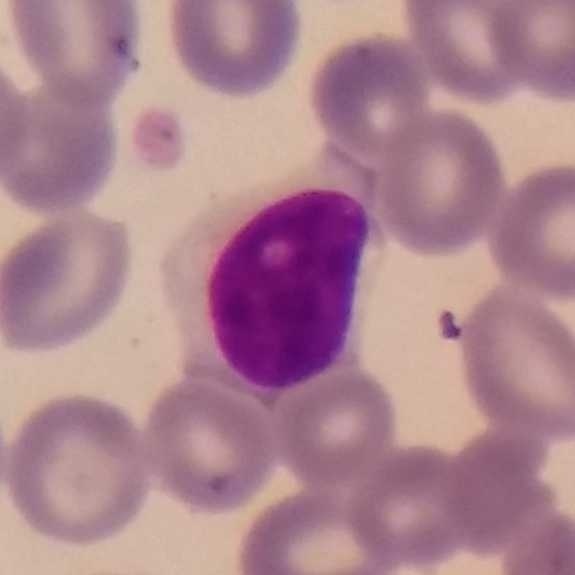The white blood cell in this image is a lymphocyte.
Acquisition: Peripheral blood film.